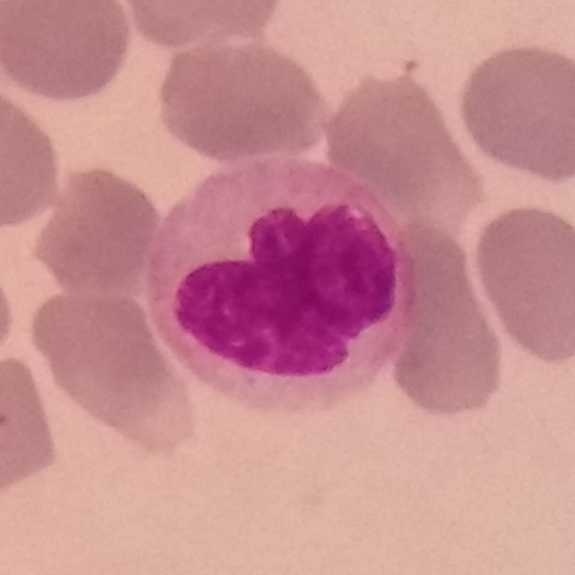
The cell shown is a monocyte.